Peripheral blood smear: 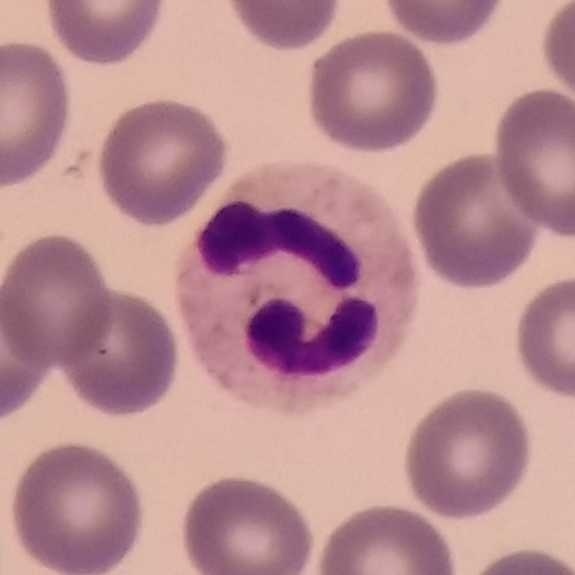 The white blood cell in this image is a neutrophil.